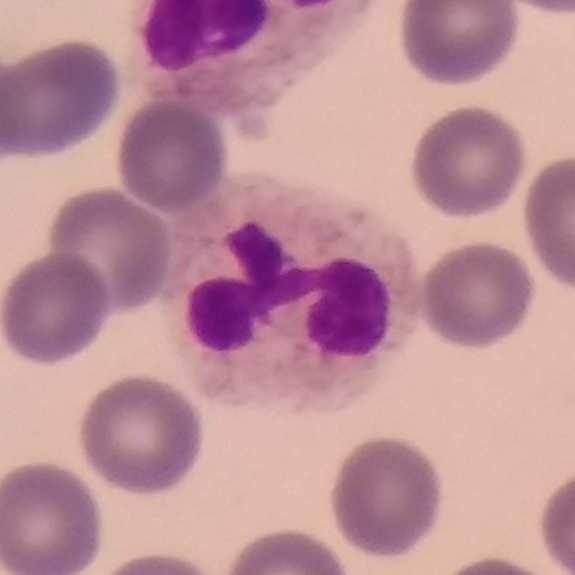 Q: What is shown here?
A: It is a neutrophil.